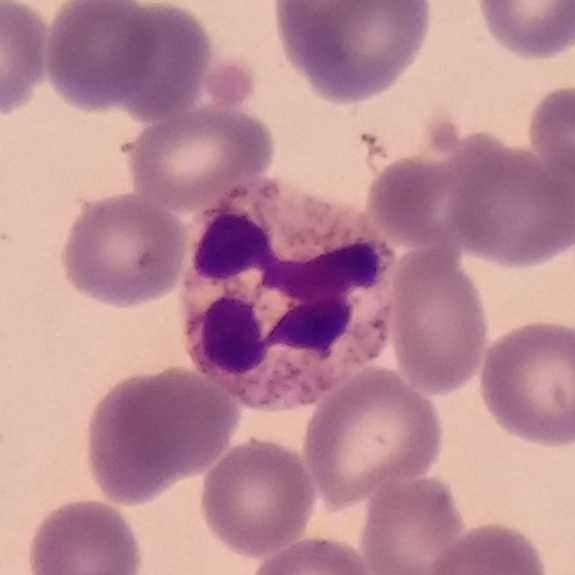Single-cell crop from a peripheral blood smear: neutrophil granulocyte.